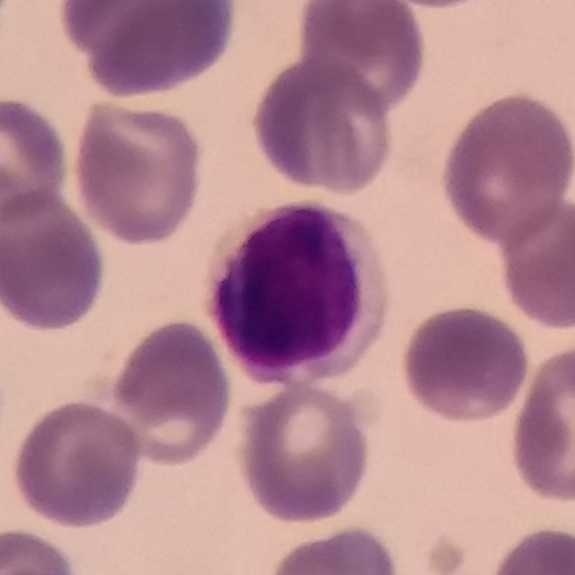 {"cell_type": "lymphocyte"}